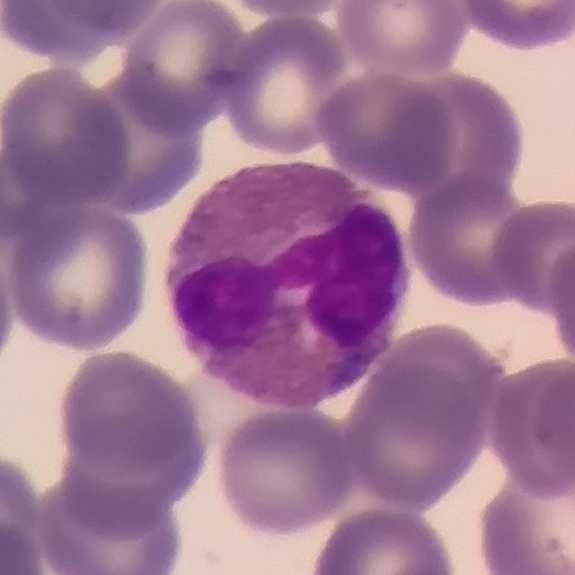

The cell type is eosinophilic granulocyte.

Context: Peripheral blood film.